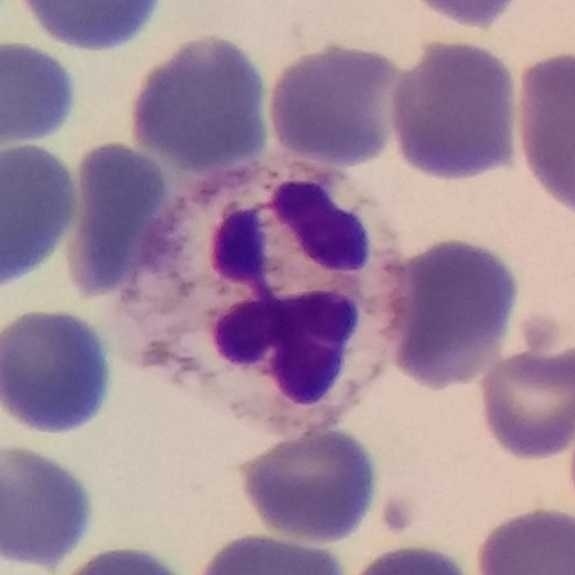

Acquisition: Peripheral blood film · photographed through a light microscope with a smartphone camera · single-cell field. Showing a neutrophil.